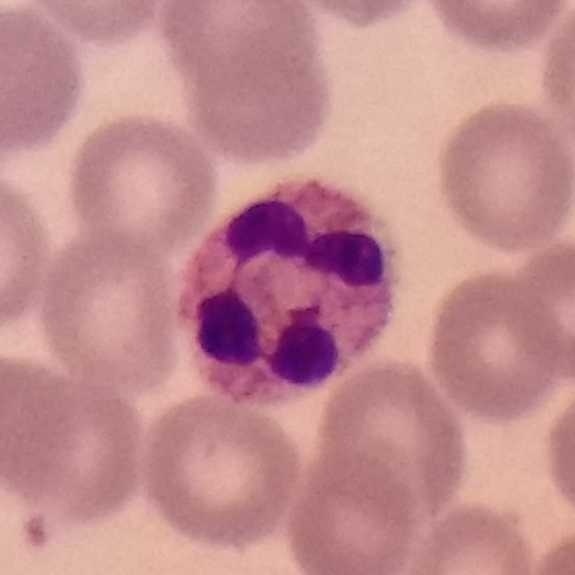
Classification: neutrophil.